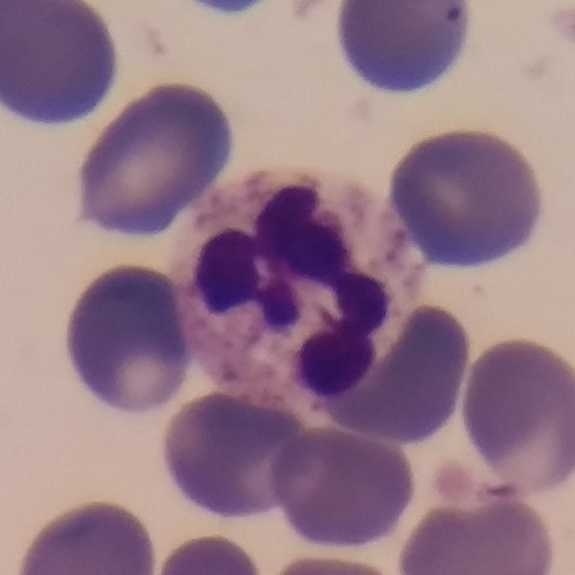Morphology → neutrophilic granulocyte. Peripheral blood film.